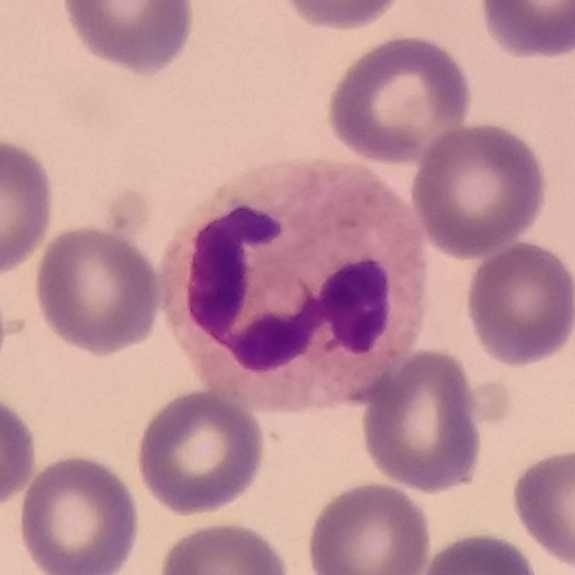

Single cell identified as a neutrophil. Acquisition: Peripheral blood smear.